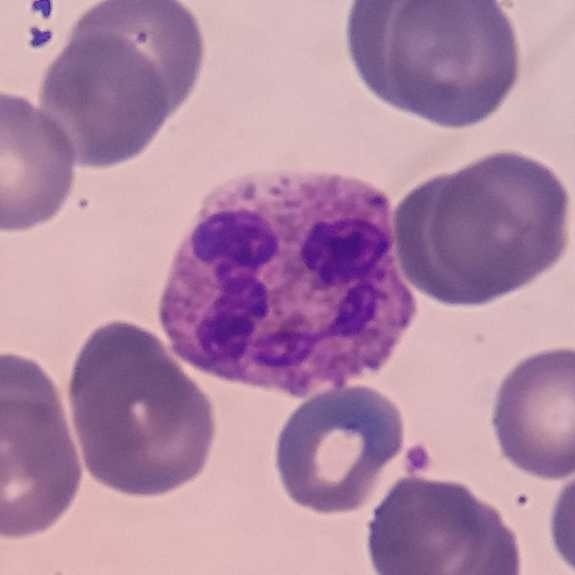Peripheral blood smear. Single cell identified as a neutrophil granulocyte.